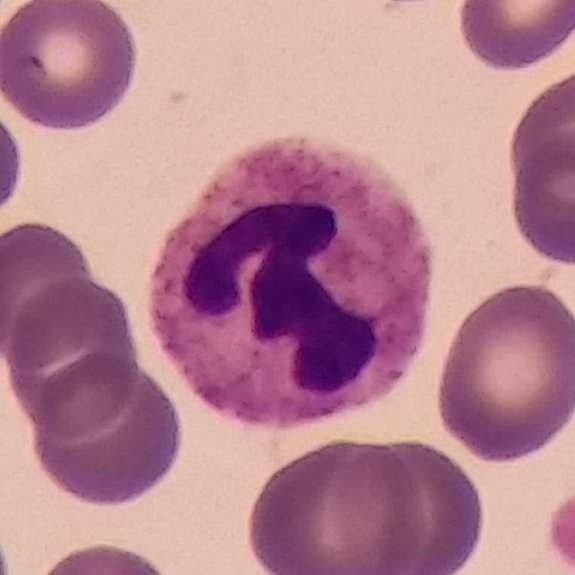 {"cell_type": "neutrophil"}

Acquisition: Giemsa-stained · peripheral blood smear.